Magnification 100×. Giemsa stain. Peripheral blood film.
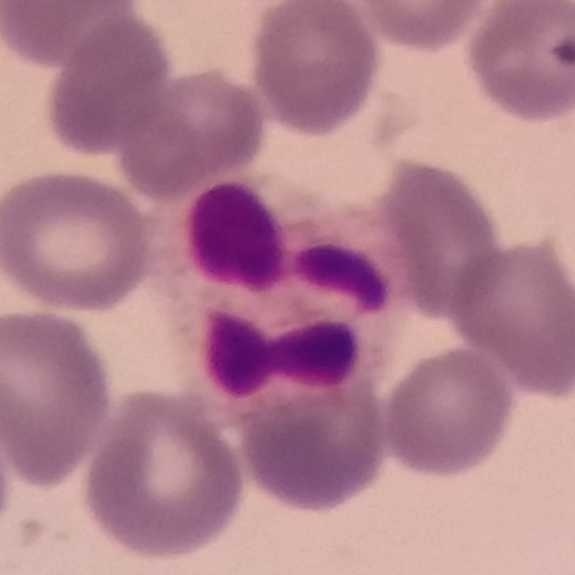
White blood cell type = neutrophil.